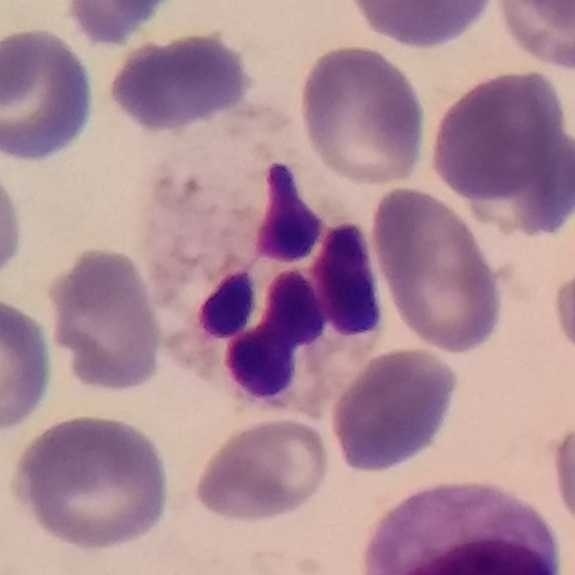 The cell shown is a neutrophilic granulocyte.